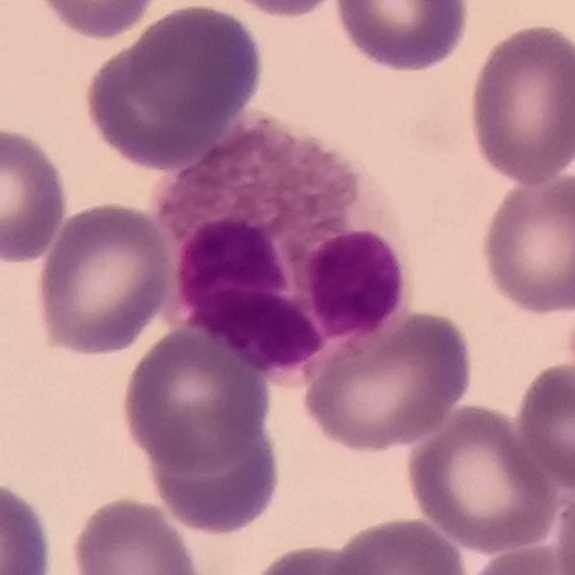

Impression — eosinophilic granulocyte.

Image: Peripheral blood film.